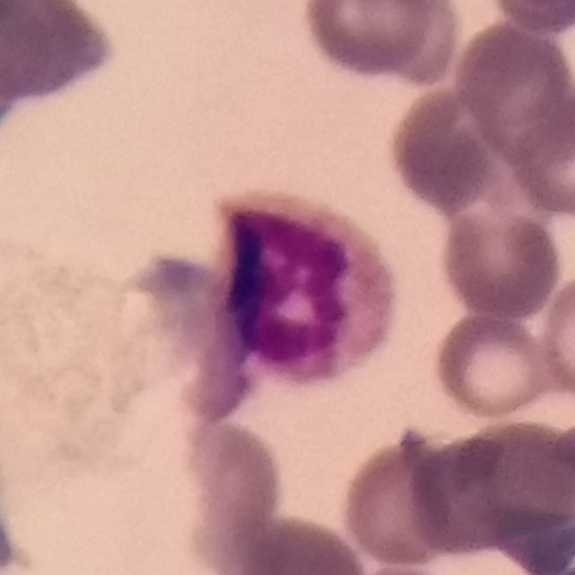 Morphology consistent with a neutrophil granulocyte.

Peripheral blood film.